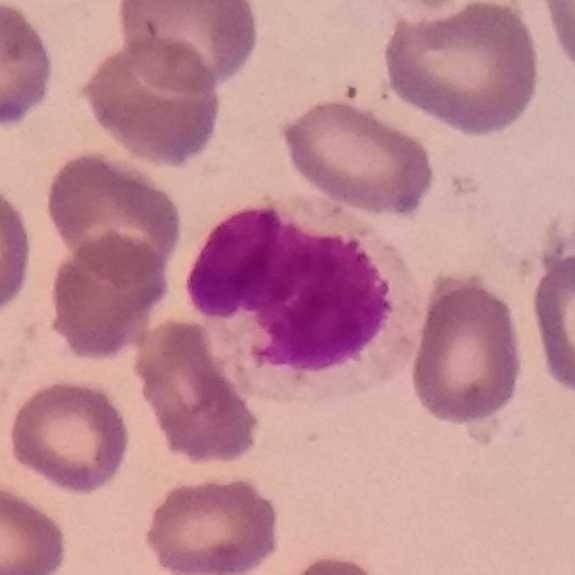
Cell type = lymphocyte.